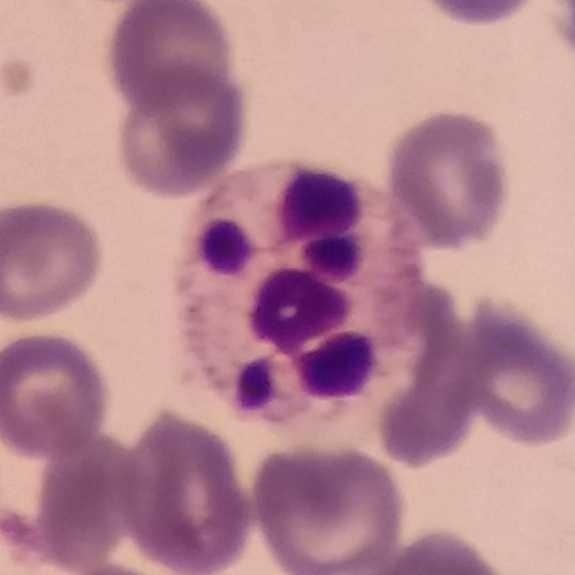Morphology → neutrophil.

Acquisition: Peripheral blood smear; 575×575 px; smartphone photomicrograph.